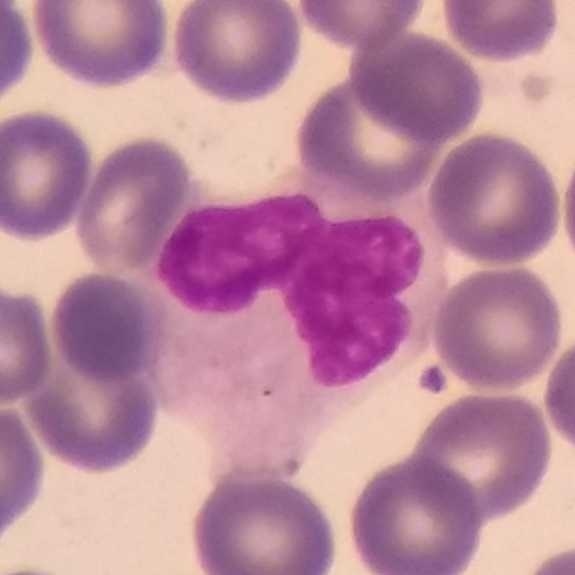

Morphology — monocyte.

Peripheral blood film · phone-camera image taken through the microscope ocular · single-cell field.